Peripheral blood film:
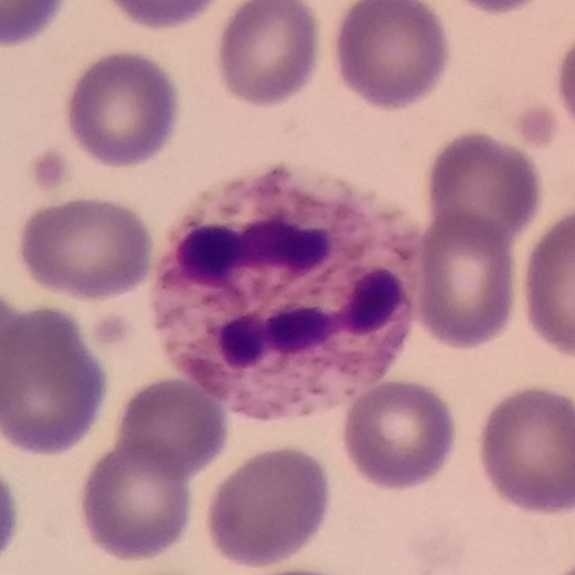

The classification is neutrophilic granulocyte.